Peripheral blood smear. Single white blood cell cropped from the smear photograph: 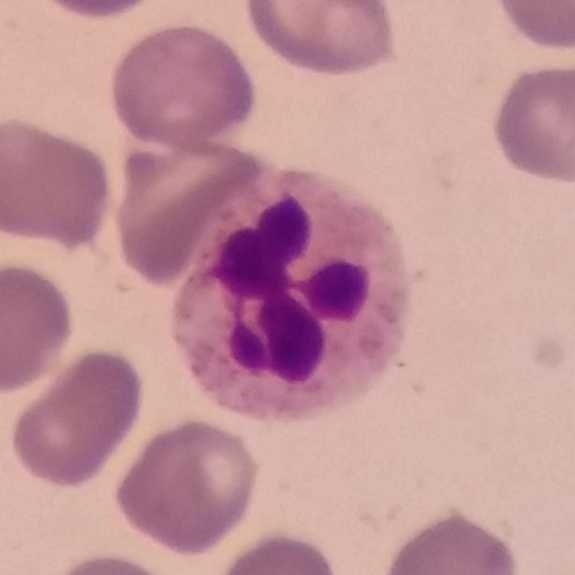Classification = neutrophilic granulocyte.